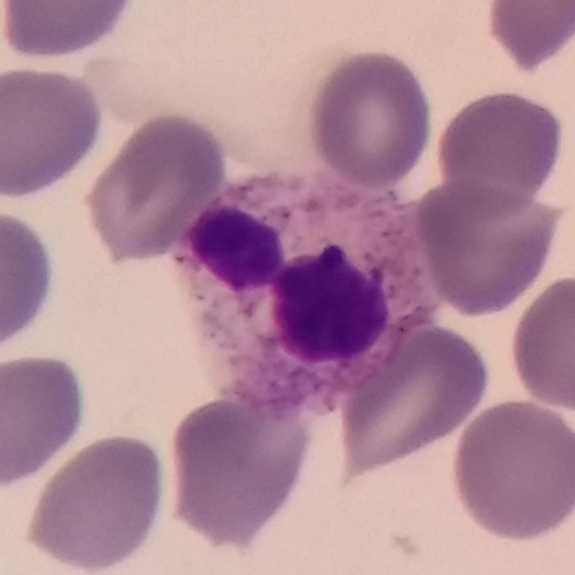Acquisition: Peripheral blood smear. Stained with Giemsa.
Morphology consistent with a neutrophil.